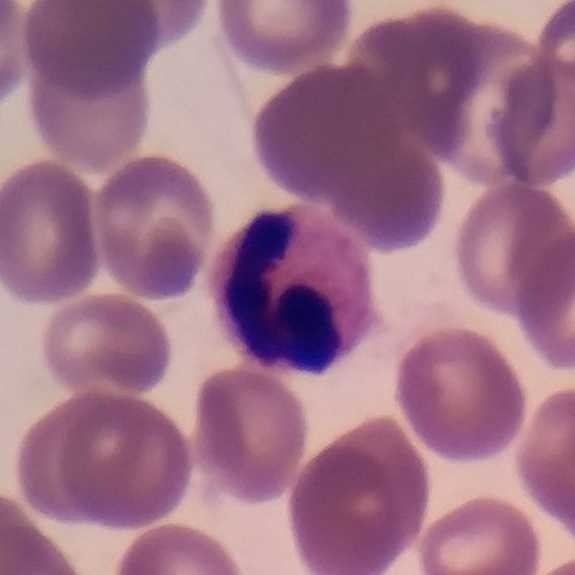
Phone-camera image taken through the microscope ocular; 100× magnification; peripheral blood smear. A neutrophil granulocyte.